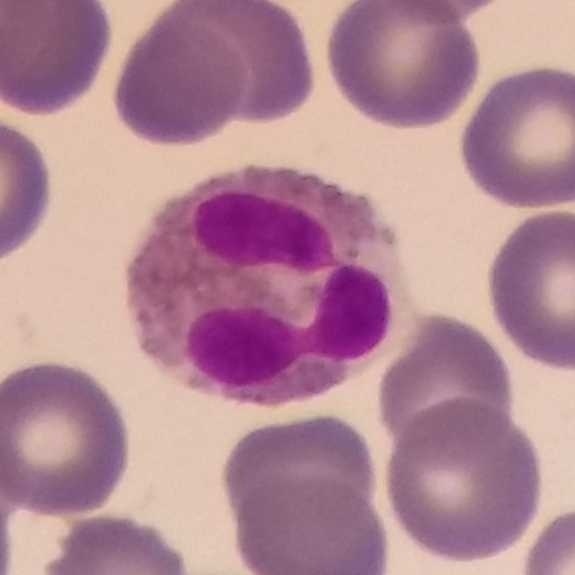 Cell type: eosinophil.